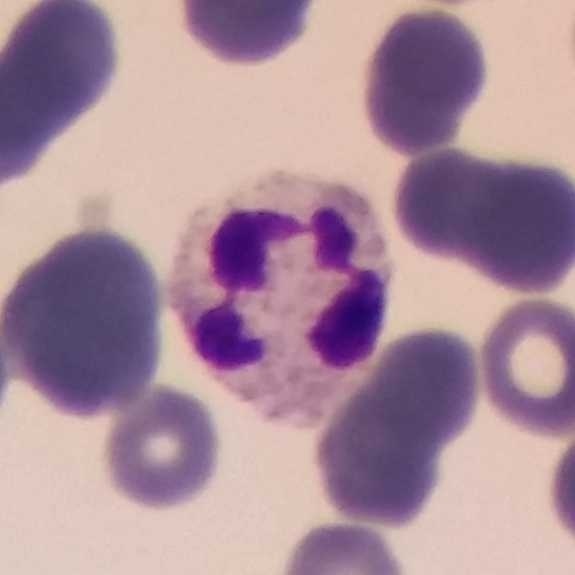The white blood cell in this image is a neutrophil granulocyte.